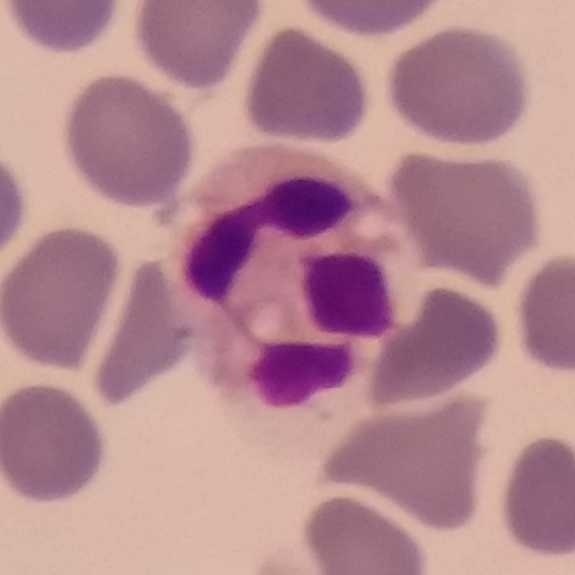Impression — neutrophil.
Peripheral blood smear.